Image size 575×575 · peripheral blood smear · smartphone camera mounted on the microscope eyepiece:
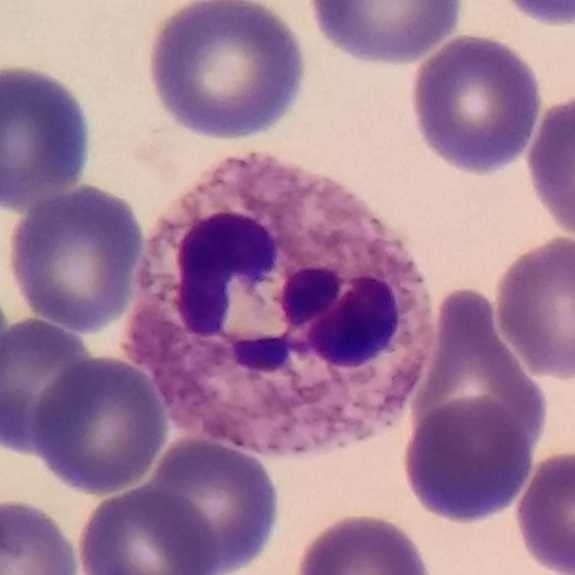

Specimen: peripheral blood smear.
Cell type: neutrophil.
Lineage: myeloid.